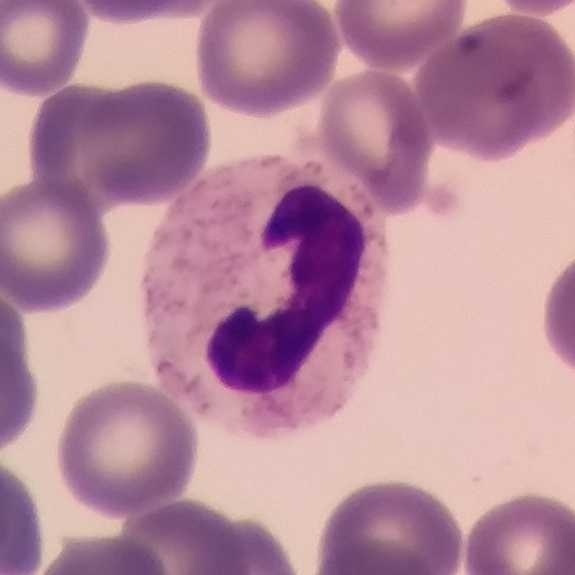

Q: What cell is this?
A: A neutrophil granulocyte.

Image: Peripheral blood smear.